Peripheral blood film.
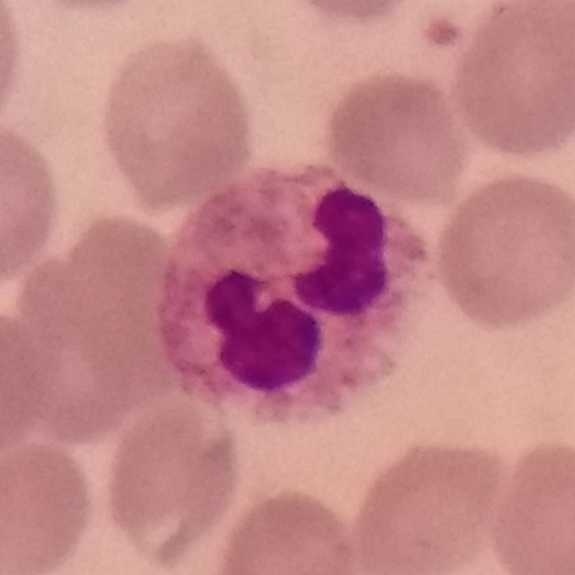Showing a neutrophil granulocyte.